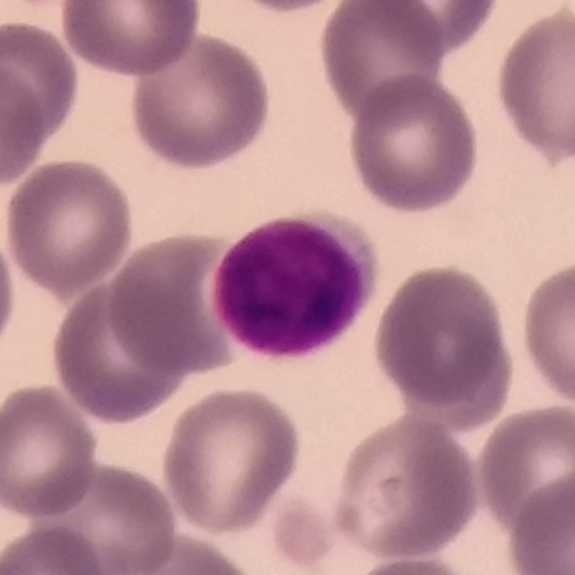
Q: What is shown here?
A: Lymphocyte.